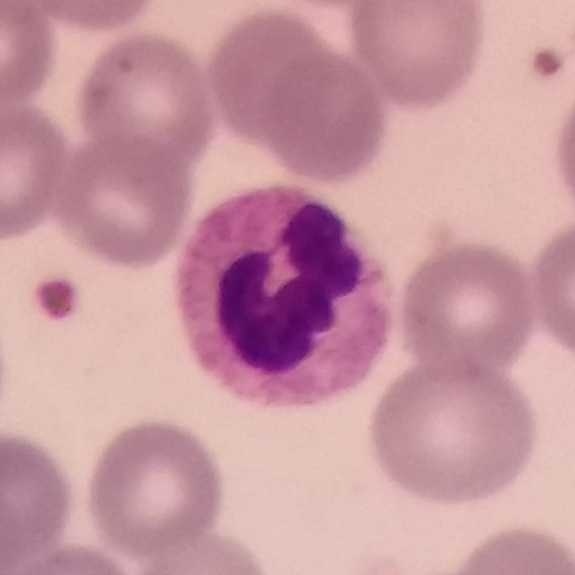Context: Peripheral blood smear · magnification 100× · smartphone photomicrograph. {"cell_type": "neutrophil"}